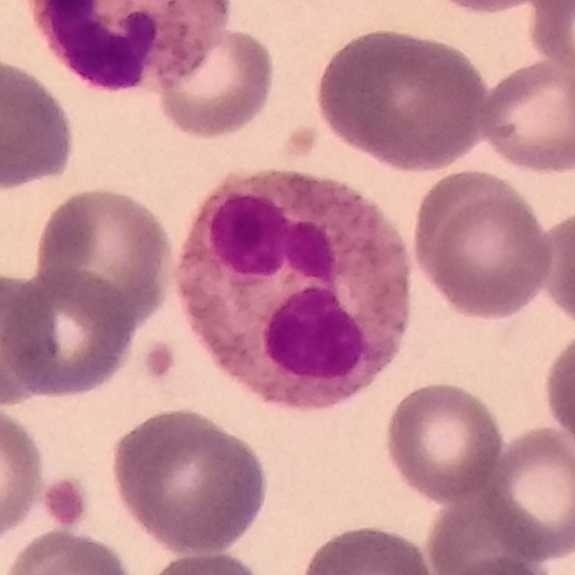
Classification = neutrophil.

Image: Photographed through a light microscope with a smartphone camera · peripheral blood film · 575×575.